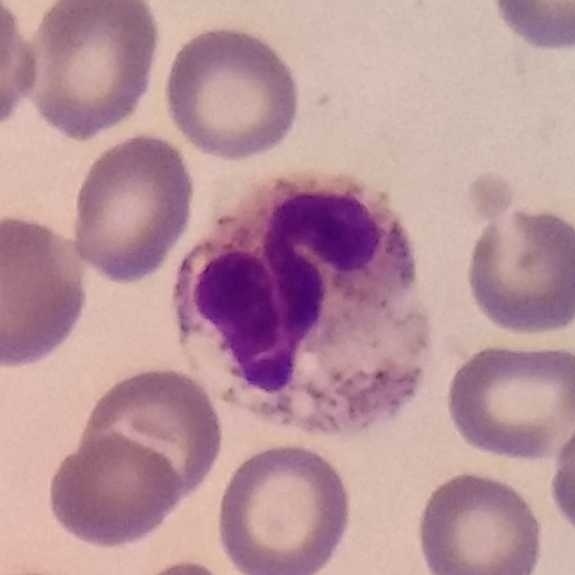
Context: Image size 575×575; peripheral blood film. A neutrophil.